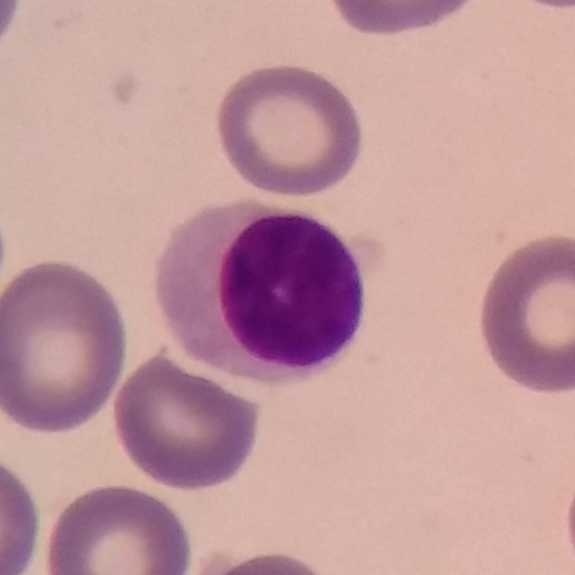 {"cell_type": "lymphocyte", "lineage": "lymphoid"}
Acquisition: Peripheral blood smear.